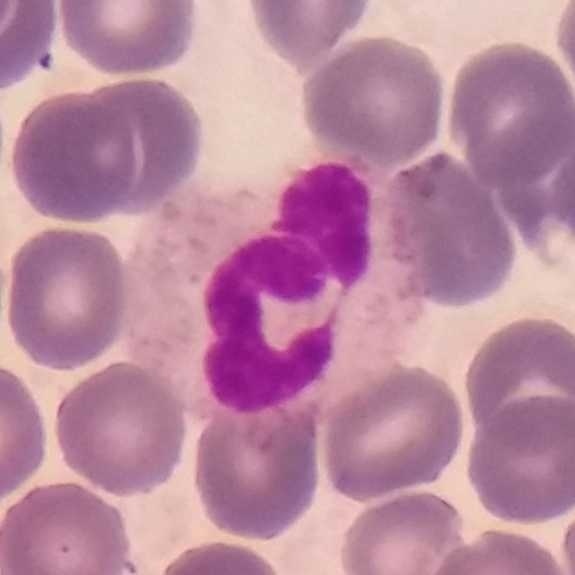
Q: Which cell type is shown here?
A: It is a neutrophil granulocyte. Context: Smartphone photomicrograph · peripheral blood film.